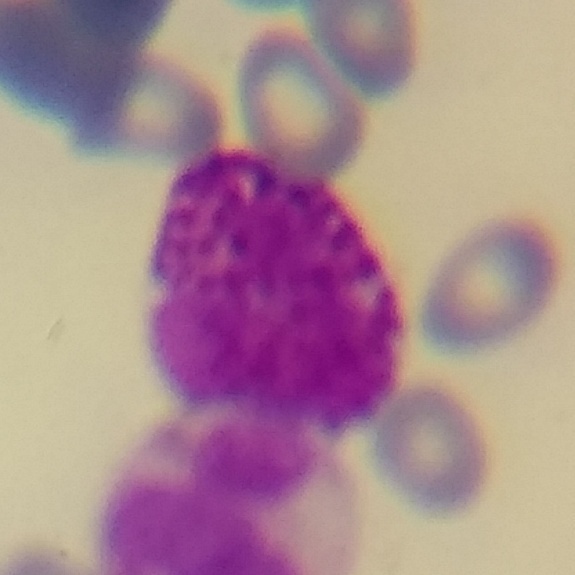

Morphological class — basophil.